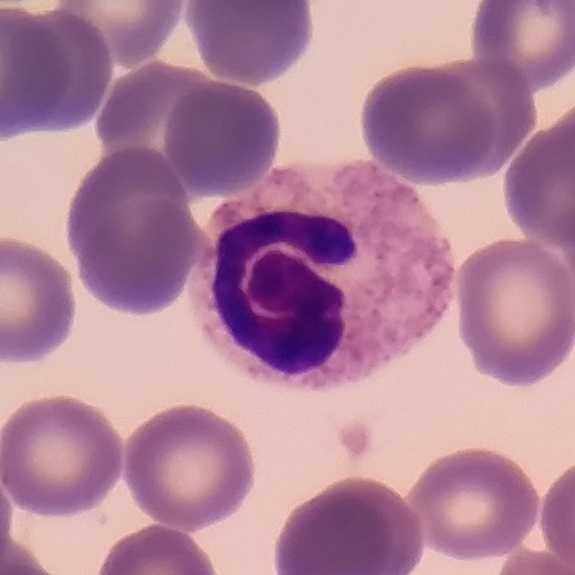

Q: What is this?
A: This is a neutrophil.